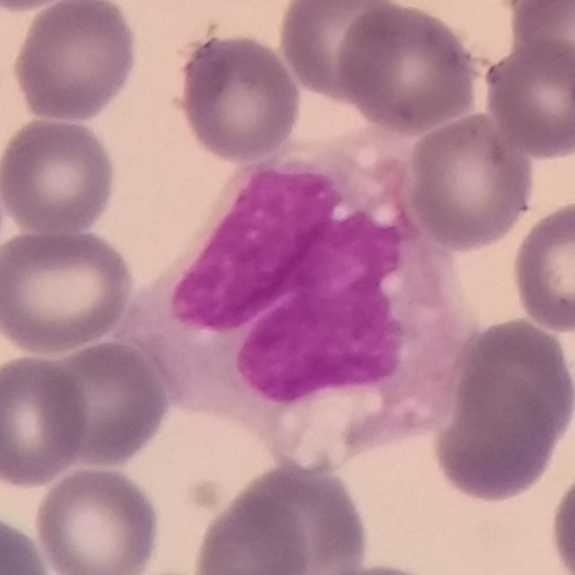The white blood cell in this image is a monocyte. Acquisition: Peripheral blood film.